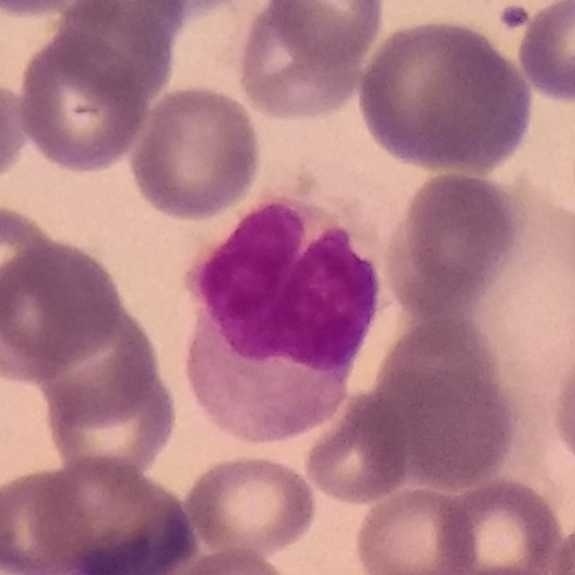
Q: Identify the cell.
A: This is a lymphocyte. Preparation: Peripheral blood film.